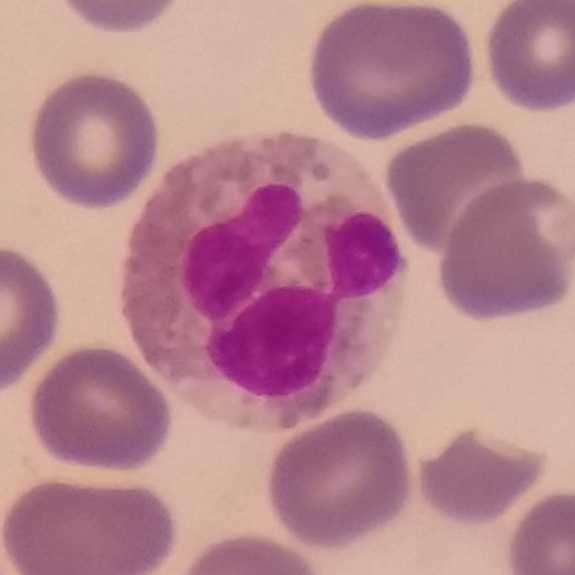Specimen: peripheral blood smear.
Morphological class: eosinophil.
Lineage: myeloid.